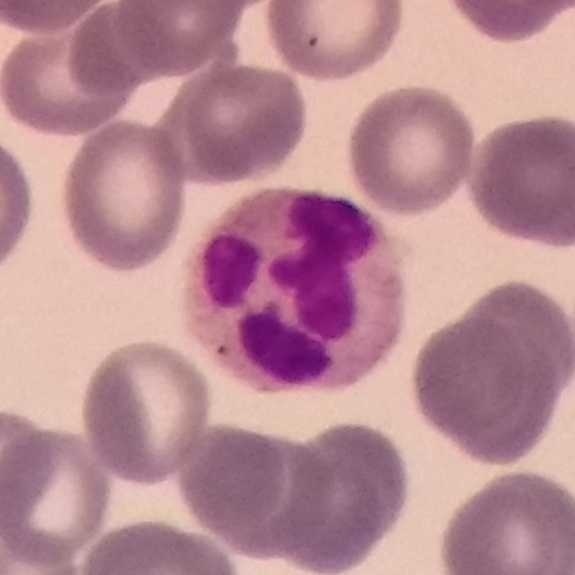
Peripheral blood film. Single-cell crop. The cell shown is a neutrophil granulocyte.